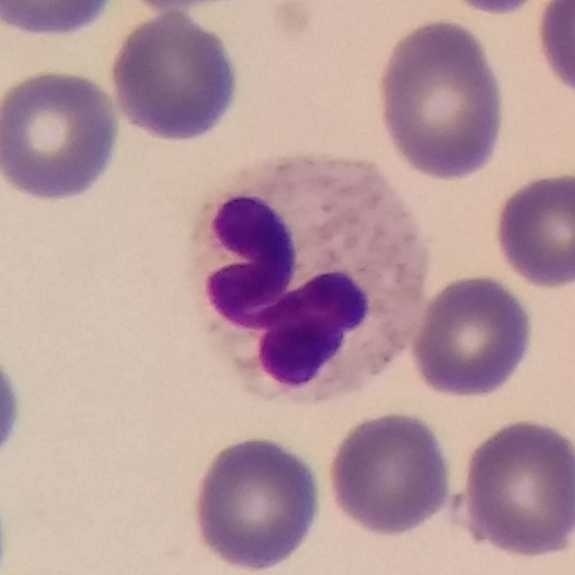 Cell type: neutrophilic granulocyte.
Image: Peripheral blood smear.